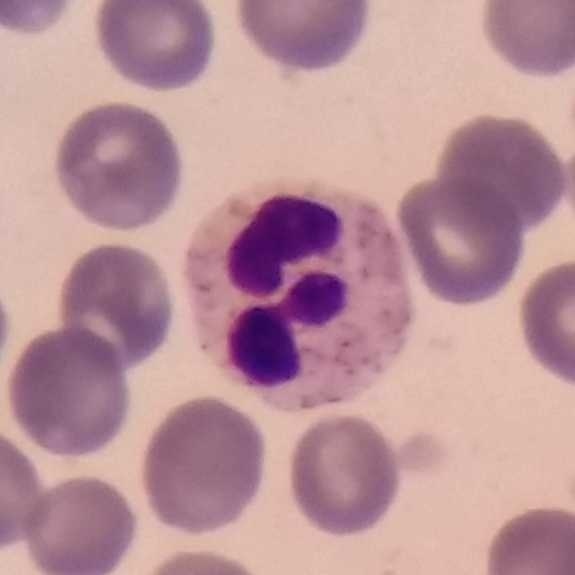

The classification is neutrophil.

Acquisition: Peripheral blood smear.